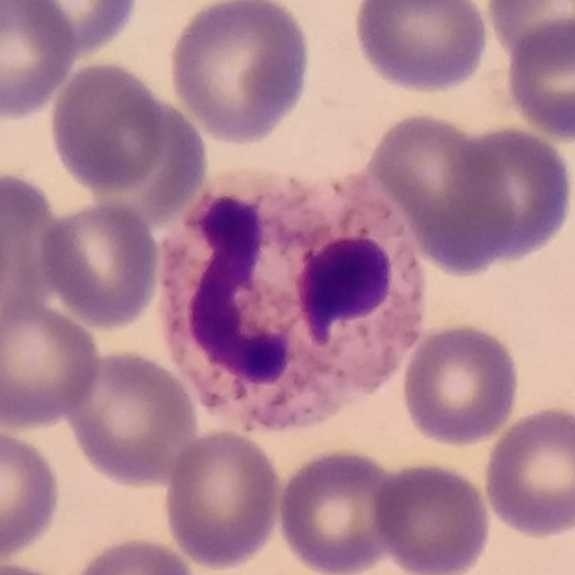

Neutrophilic granulocyte.
Preparation: Peripheral blood smear.